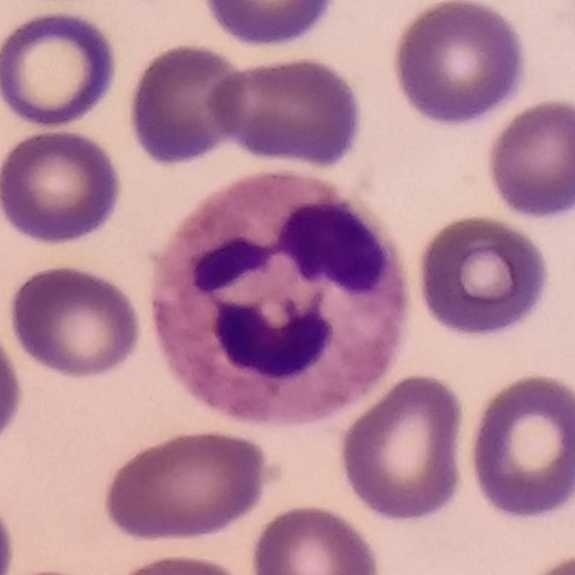
Image: Smartphone camera mounted on the microscope eyepiece · peripheral blood smear · single white blood cell cropped from the smear photograph.

A neutrophilic granulocyte.